Peripheral blood film · smartphone photomicrograph — 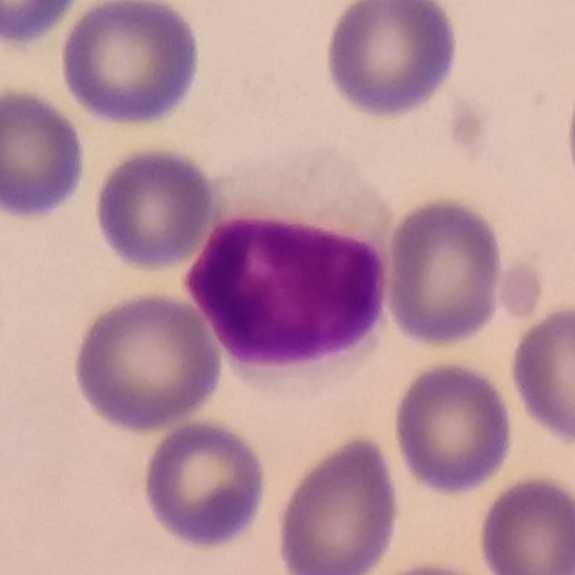
Q: What is shown here?
A: This is a lymphocyte.